Peripheral blood film
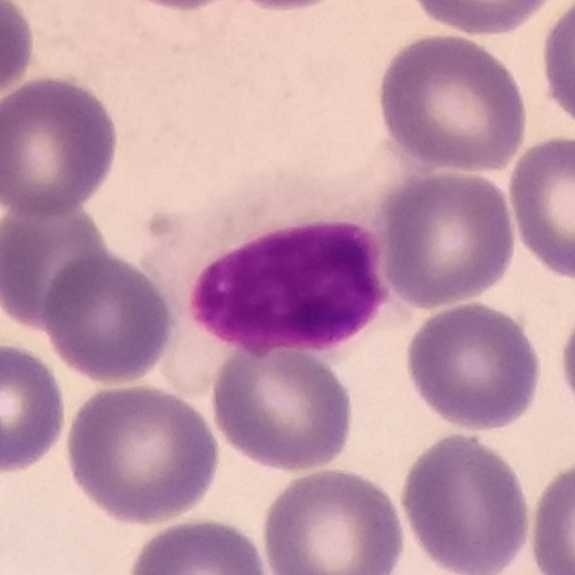
This is a lymphocyte.